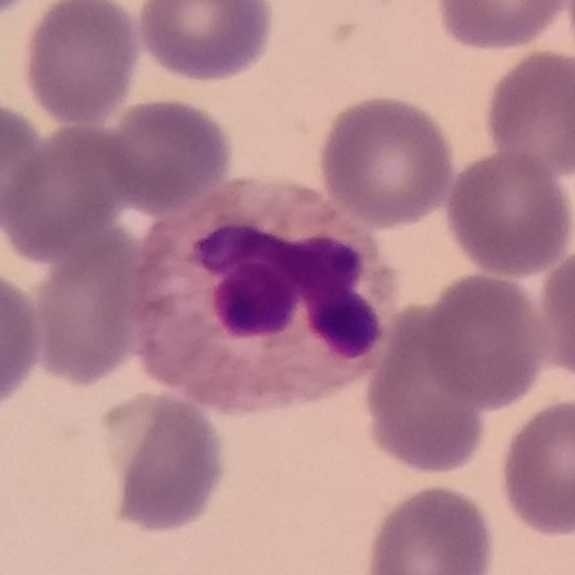 Specimen: peripheral blood film.
White blood cell type: neutrophil granulocyte.
Lineage: myeloid. Preparation: Smartphone camera mounted on the microscope eyepiece.